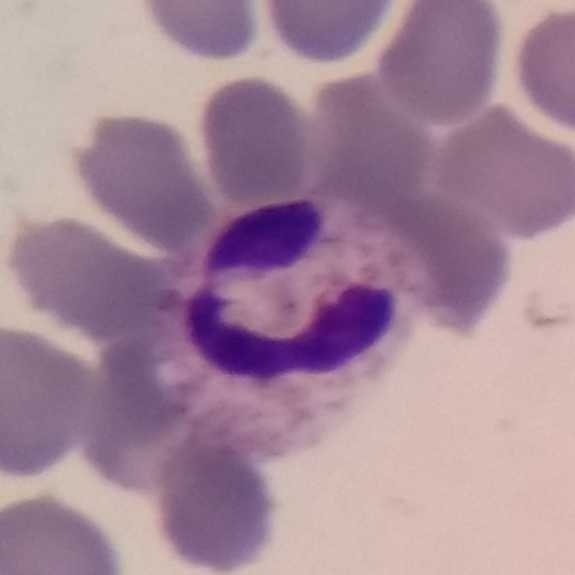 Peripheral blood film. Cell type: neutrophilic granulocyte.